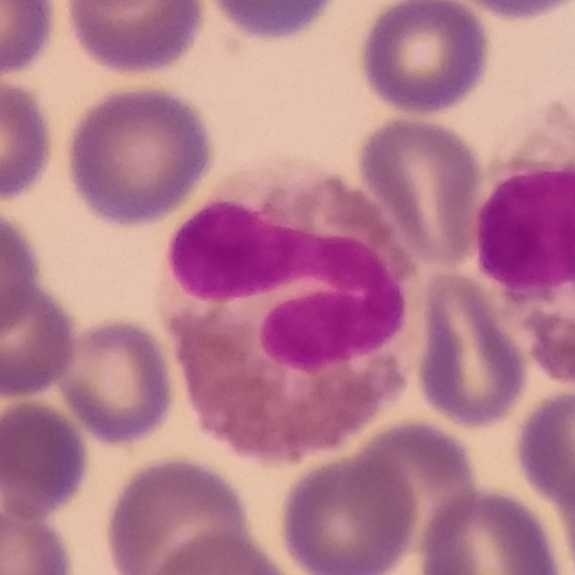

Acquisition: 100× magnification · single white blood cell cropped from the smear photograph · peripheral blood film. Q: Which type of white blood cell is this?
A: An eosinophil.